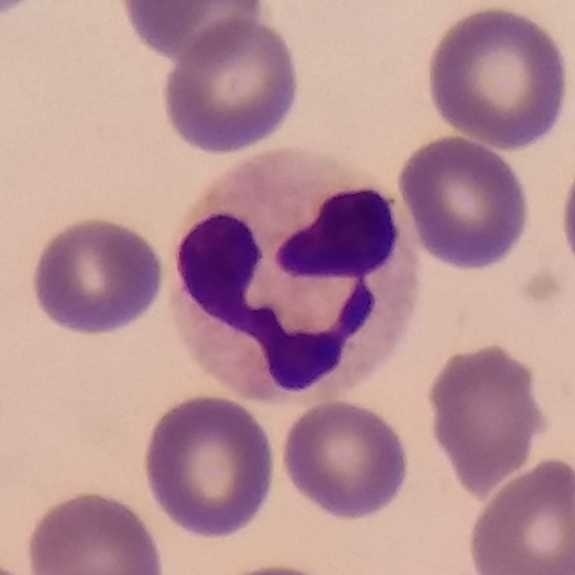 {"cell_type": "neutrophil granulocyte", "lineage": "myeloid"}

Preparation: Peripheral blood film.